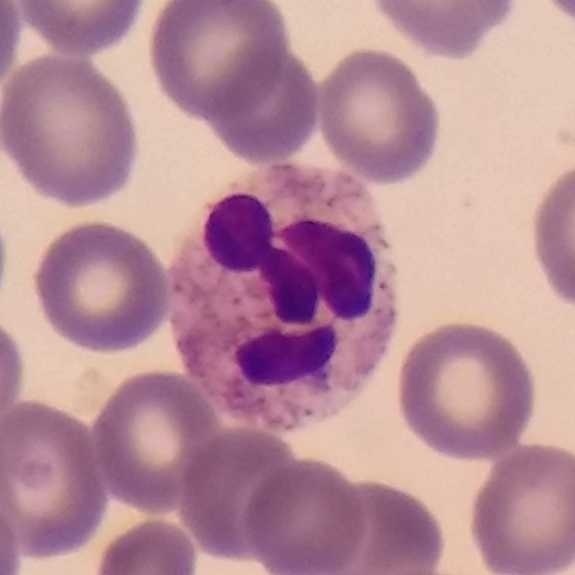 Preparation: Peripheral blood smear. 575×575 px.

Q: Classify this leukocyte.
A: Neutrophil.